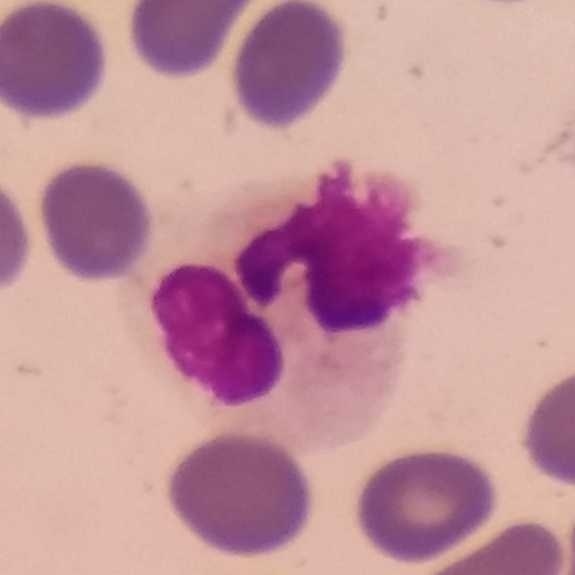 Morphology → neutrophil.